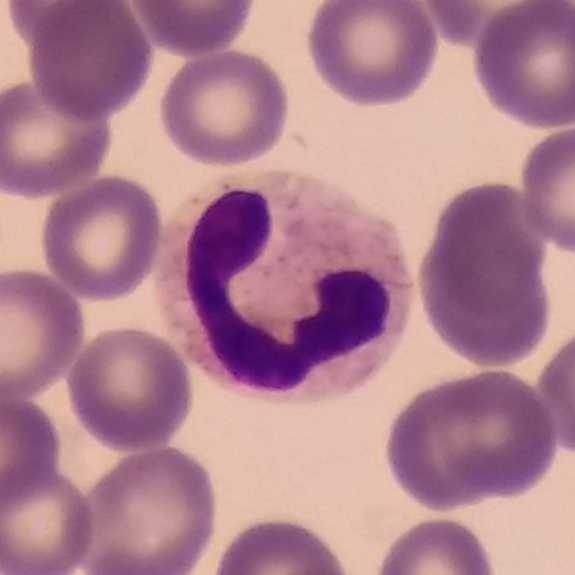

The white blood cell in this image is a neutrophil.